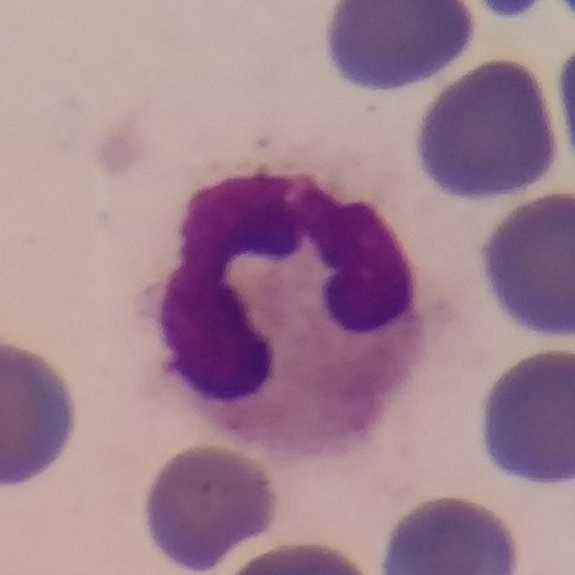Neutrophil granulocyte.